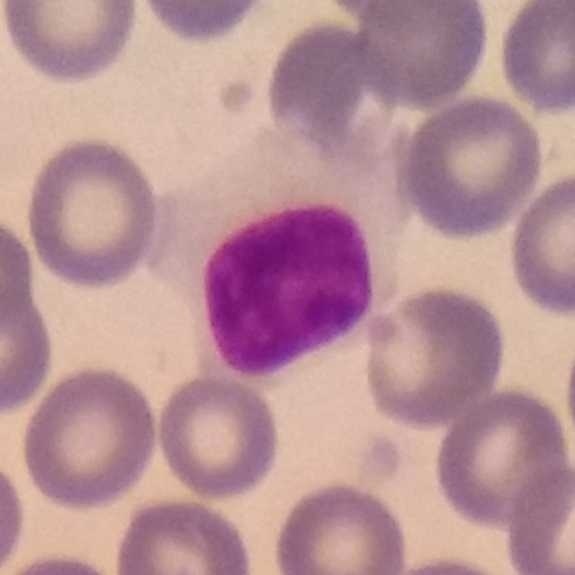

Q: What type of cell is this?
A: Lymphocyte.